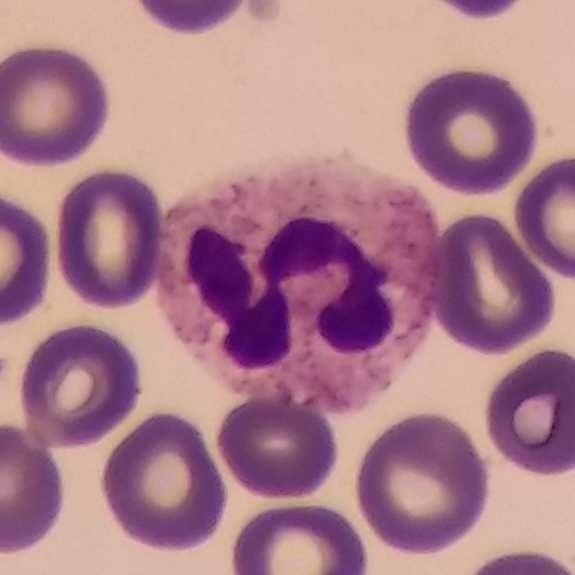
Showing a neutrophil granulocyte. Imaged at 100×; peripheral blood smear.